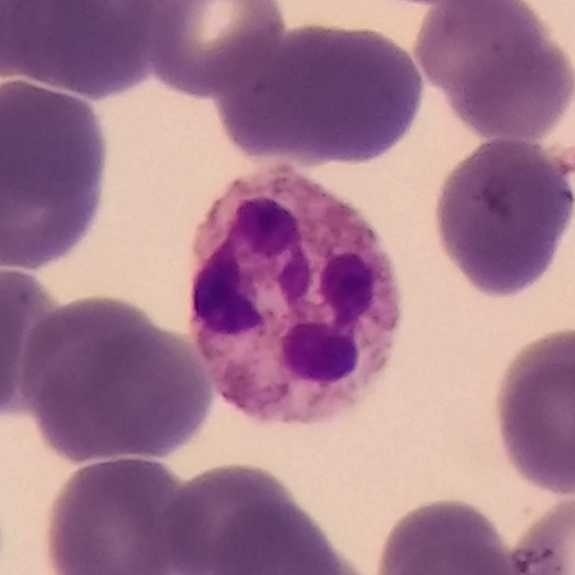

Image: Peripheral blood film.

Classification — neutrophilic granulocyte.